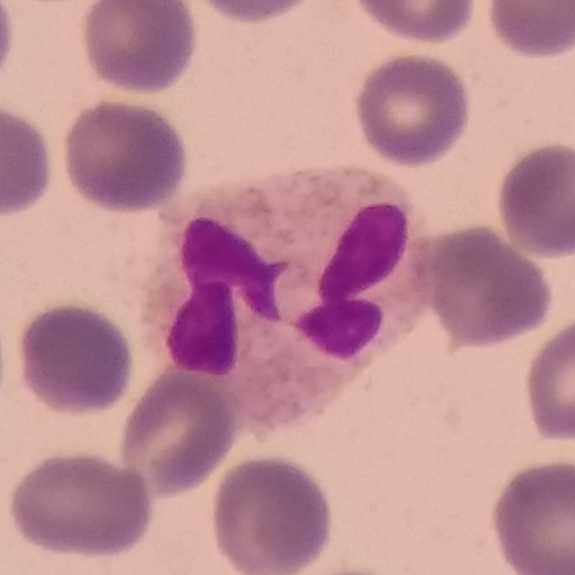 A neutrophil.
Peripheral blood smear.